100× magnification · peripheral blood smear: 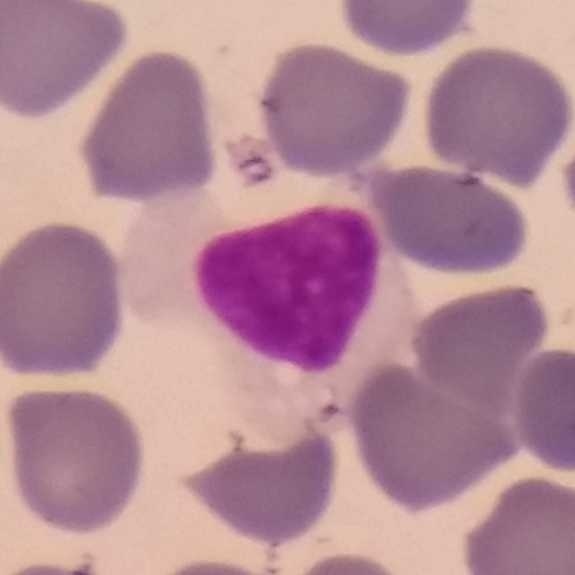Specimen: peripheral blood film.
Classification: lymphocyte.